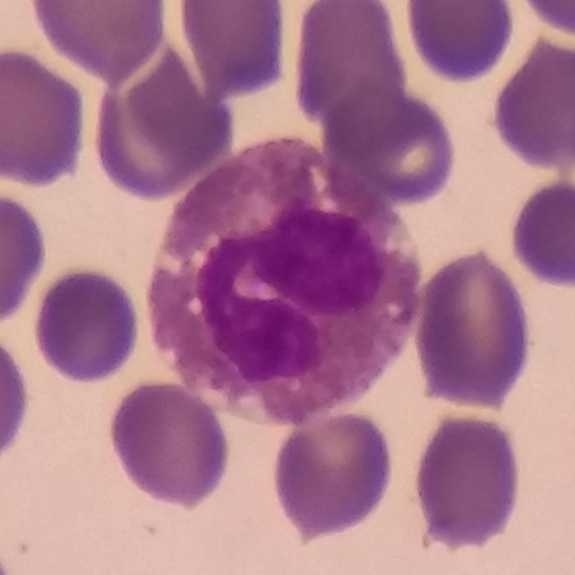
Specimen: peripheral blood smear.
Cell type: eosinophil.
Lineage: myeloid.